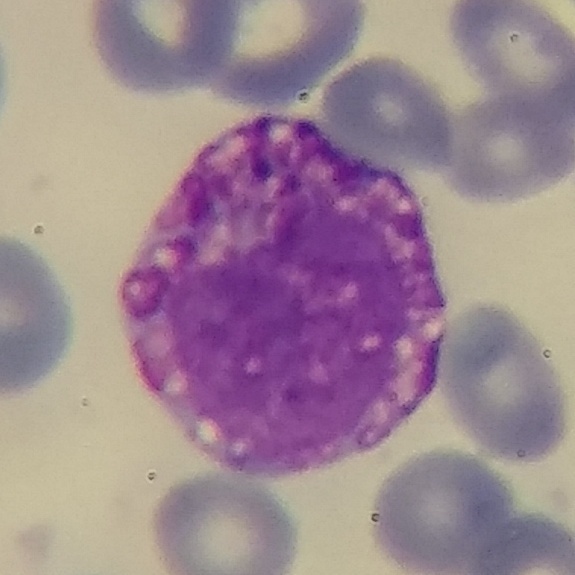A basophil.